Peripheral blood film: 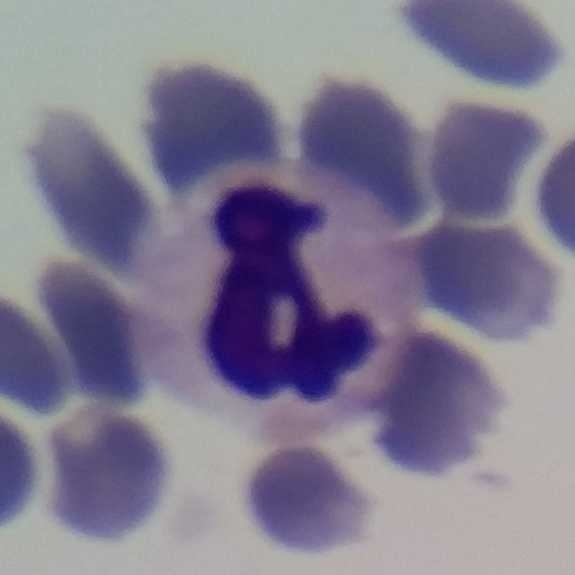Specimen: peripheral blood film.
Cell: neutrophil.